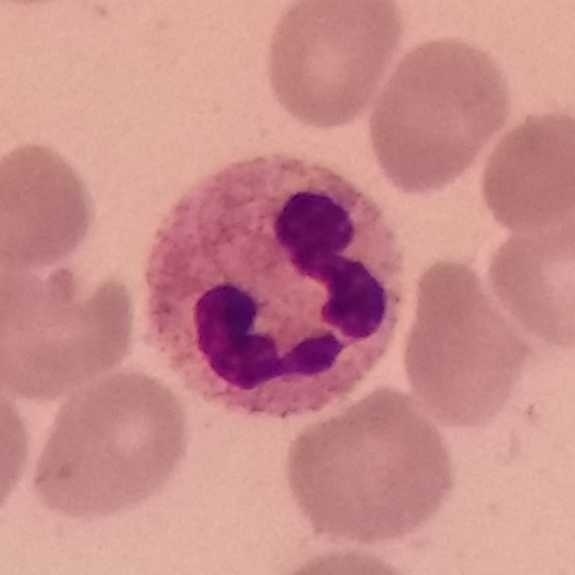

The cell shown is a neutrophil granulocyte.